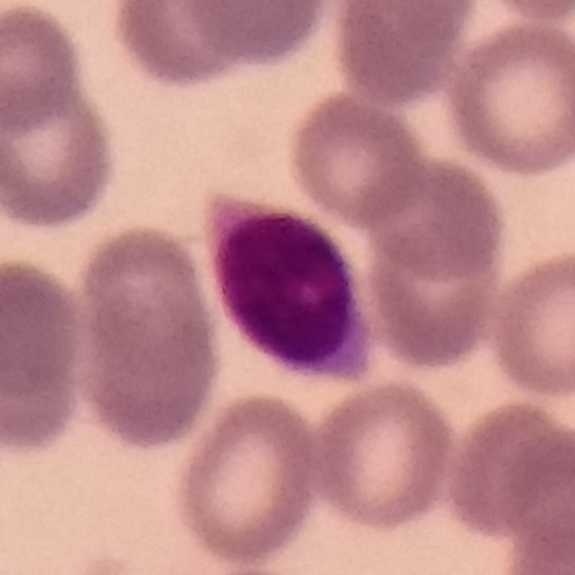
The cell is lymphocyte.